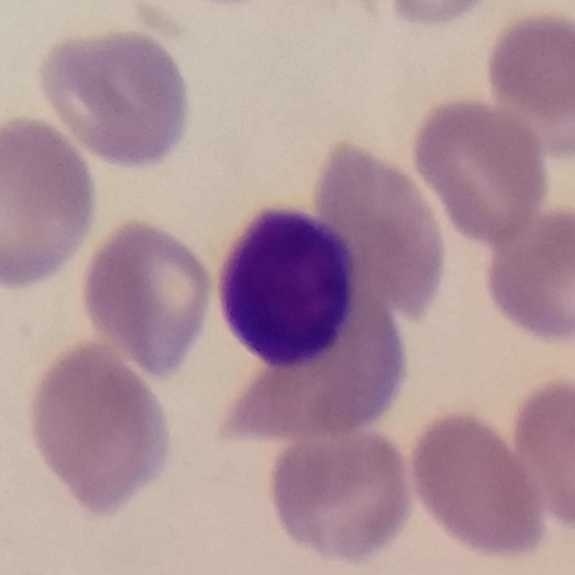
Identified as a lymphocyte.